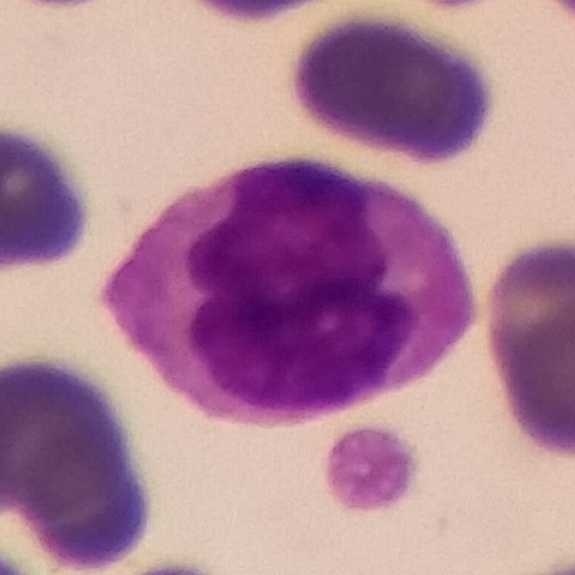 The cell is monocyte.